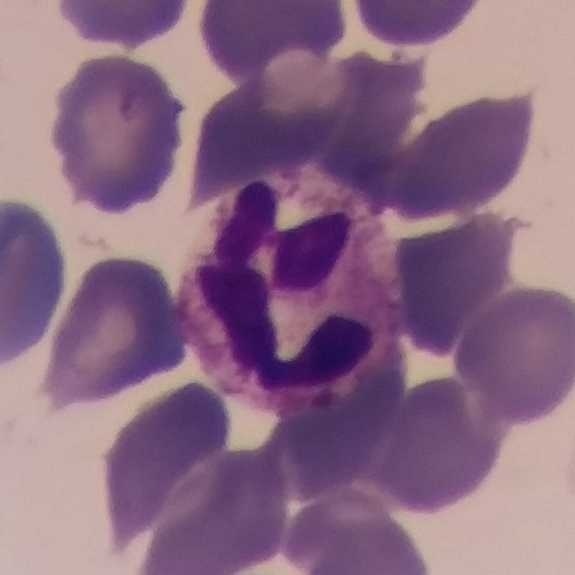
Acquisition: Peripheral blood smear.
Morphological class: neutrophil.